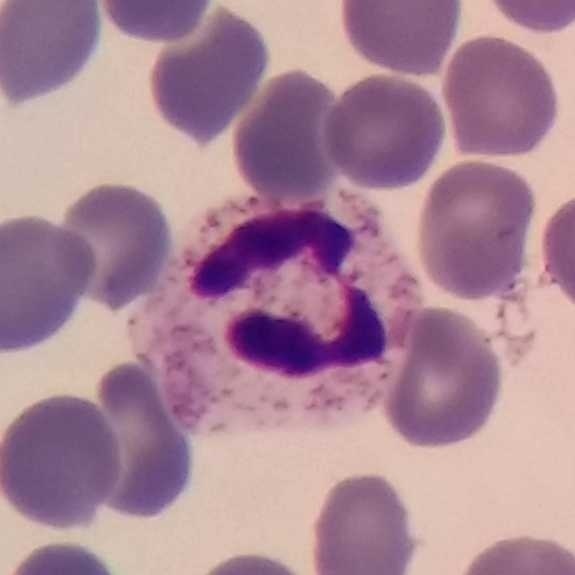Image: Imaged at 100×; peripheral blood smear.
This is a neutrophilic granulocyte.